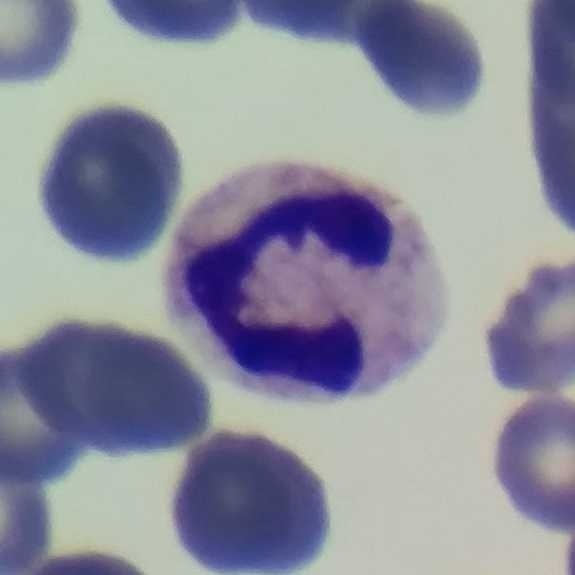Morphological class: neutrophil granulocyte.